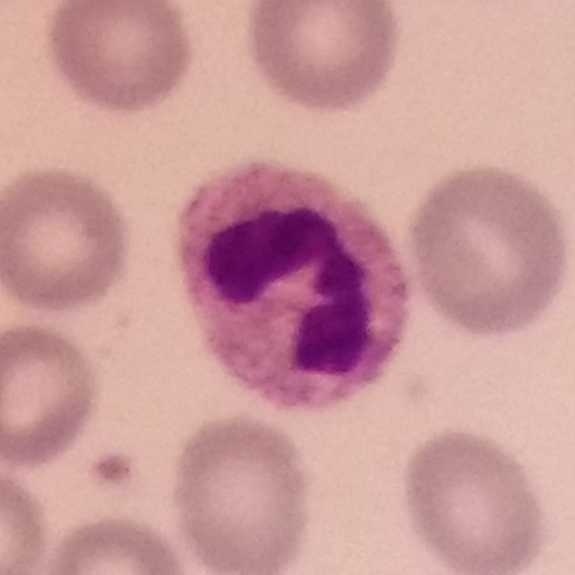Peripheral blood smear. Q: What is shown here?
A: A neutrophilic granulocyte.